575×575 px; peripheral blood smear; imaged at 100× — 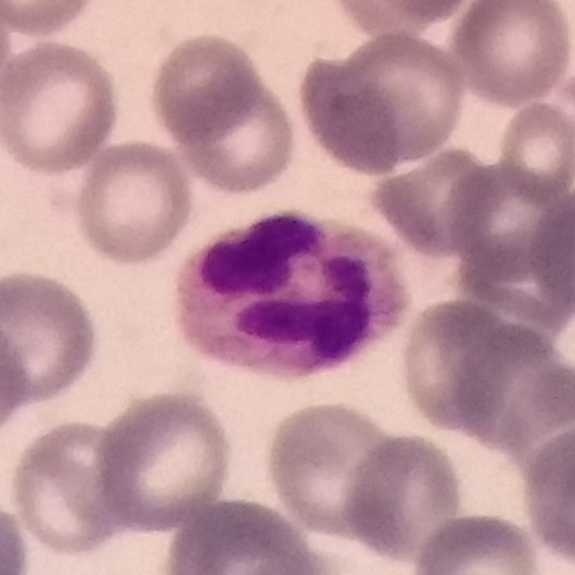
Morphology → neutrophil granulocyte.